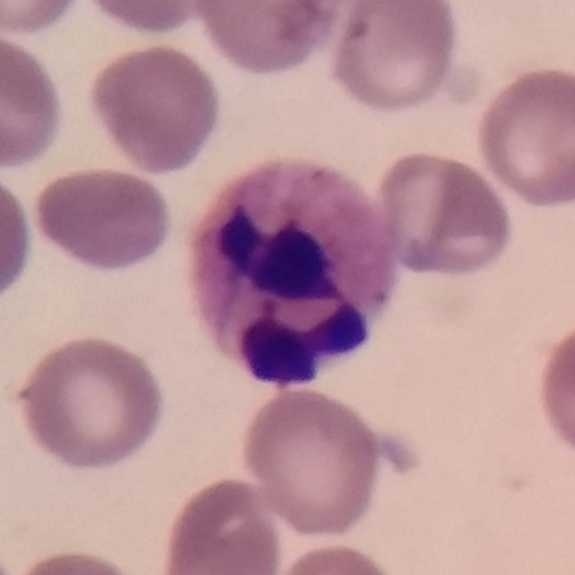575 by 575 pixels · peripheral blood smear.
White blood cell type = neutrophilic granulocyte.